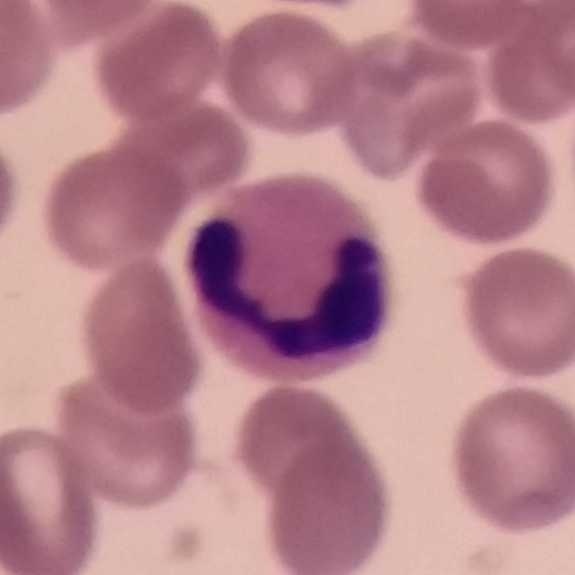

The cell shown is a neutrophil.